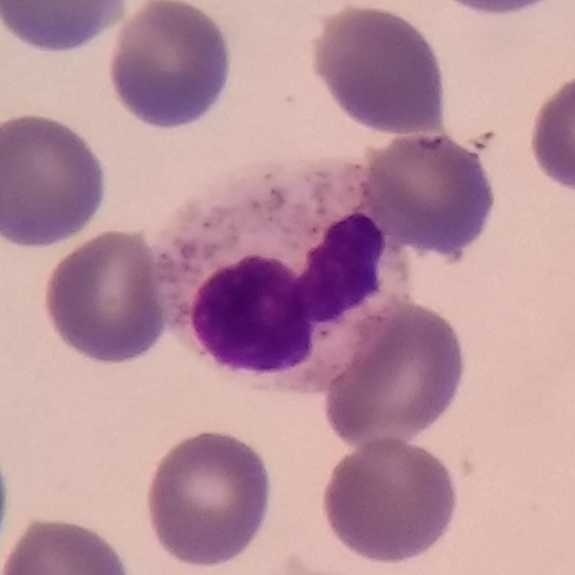 Classification = neutrophilic granulocyte.

Preparation: Peripheral blood smear.